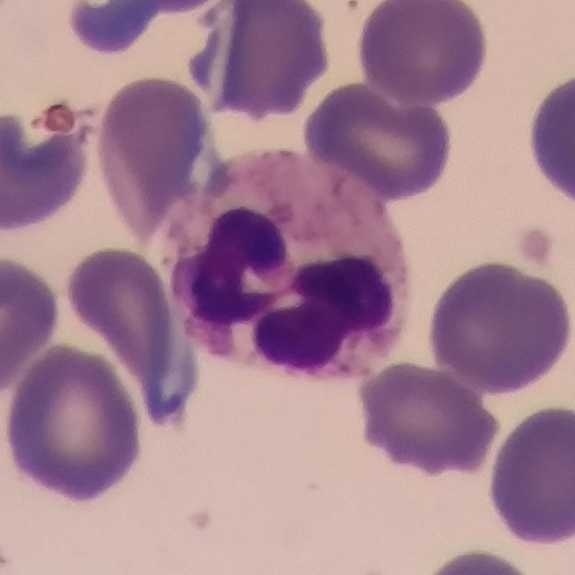Q: Classify this leukocyte.
A: A neutrophilic granulocyte.
Peripheral blood film.